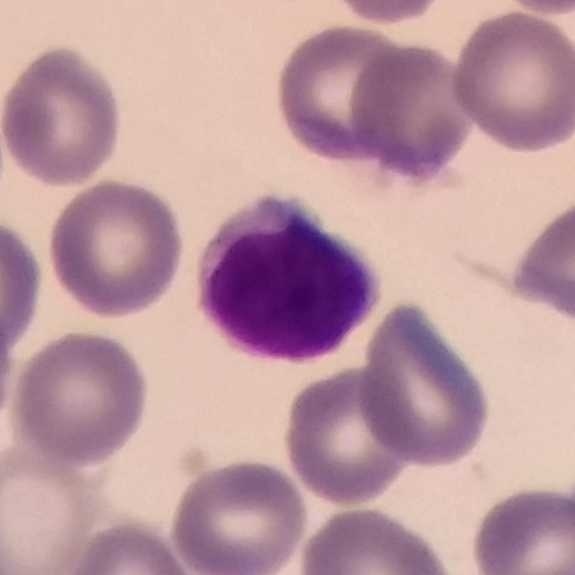

Single cell identified as a lymphocyte. Peripheral blood smear.